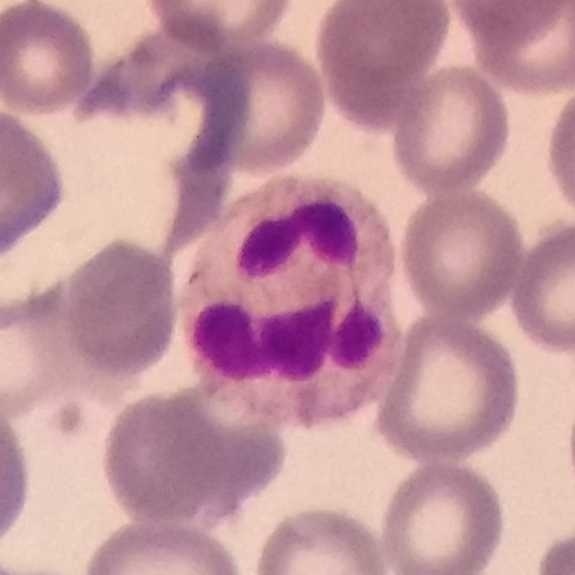 Morphology consistent with a neutrophil.